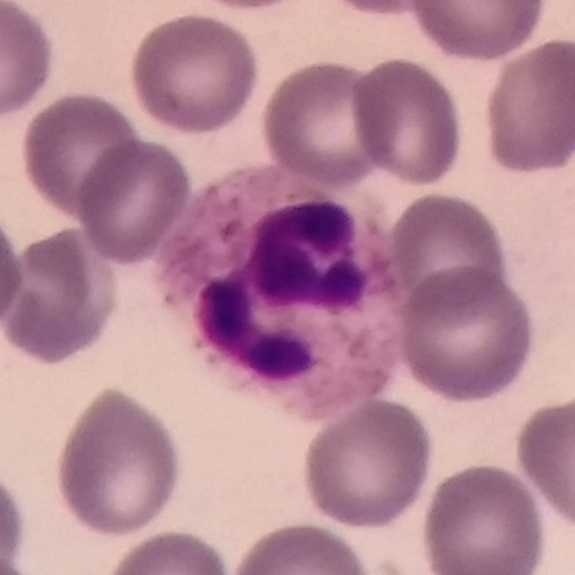
Image: Peripheral blood smear. The white blood cell in this image is a neutrophil granulocyte.